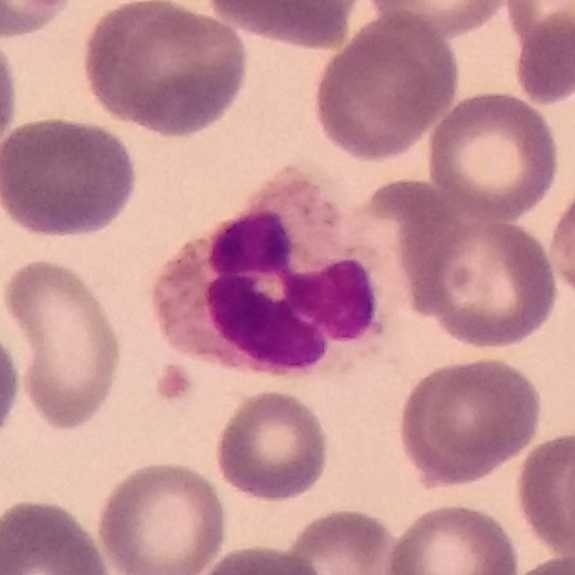

Specimen: peripheral blood smear.
Cell type: neutrophil.
Lineage: myeloid.